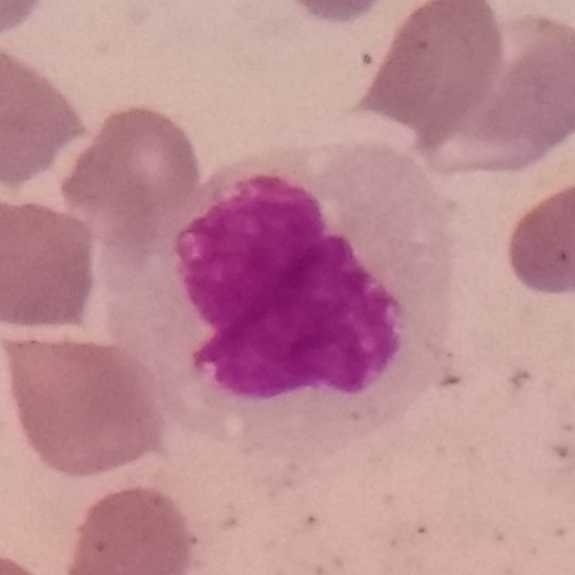 Cell type: monocyte.
Context: Peripheral blood film · 100× magnification.